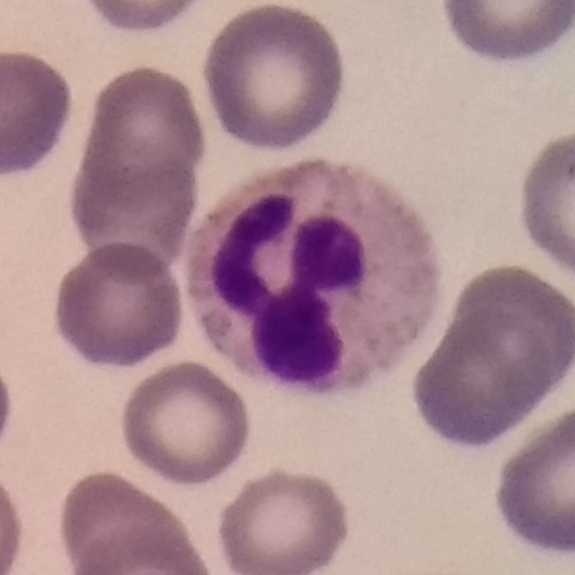Single cell identified as a neutrophilic granulocyte.

Preparation: Photographed through a light microscope with a smartphone camera · peripheral blood film.